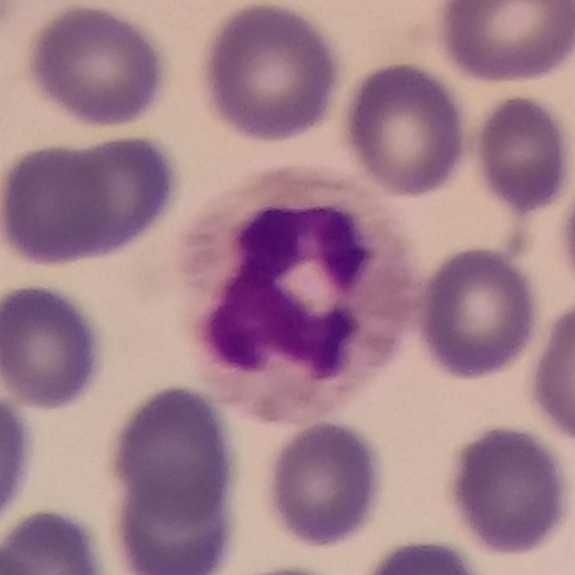
Cell type — neutrophil.
Preparation: Peripheral blood film.